Peripheral blood film.
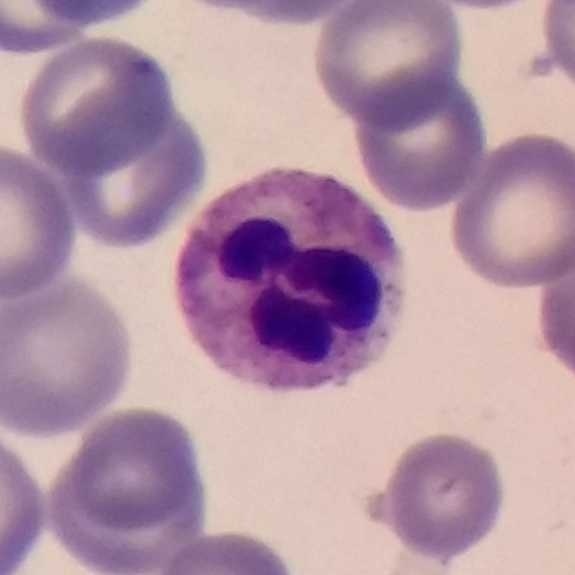

The white blood cell type is neutrophil granulocyte.